Peripheral blood film — 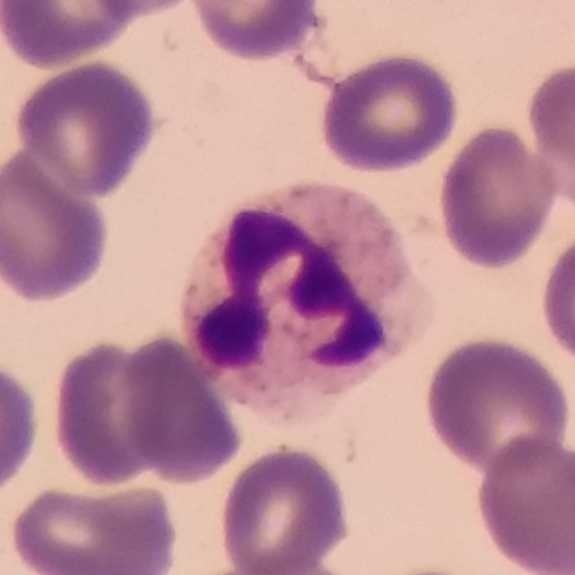 Q: What is shown here?
A: A neutrophil granulocyte.